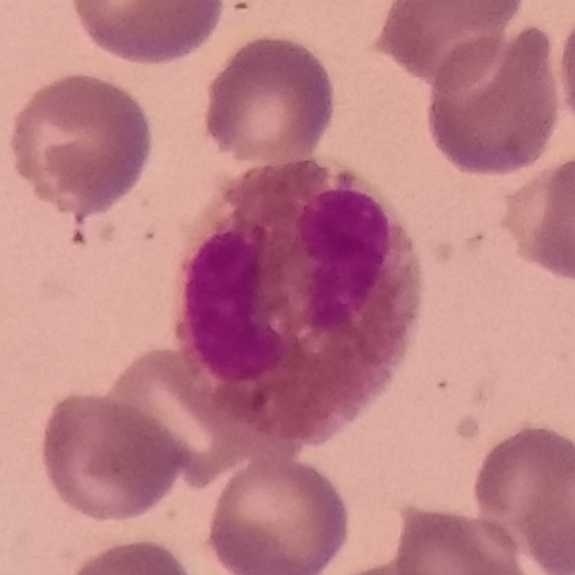
Peripheral blood film.

Q: What is the morphological classification of this cell?
A: This is an eosinophilic granulocyte.